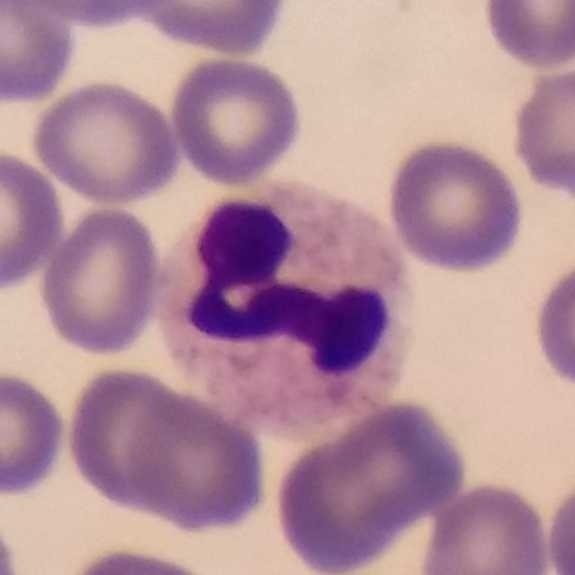
Specimen: peripheral blood film.
Cell type: neutrophil granulocyte.